Smartphone camera mounted on the microscope eyepiece. Peripheral blood film.
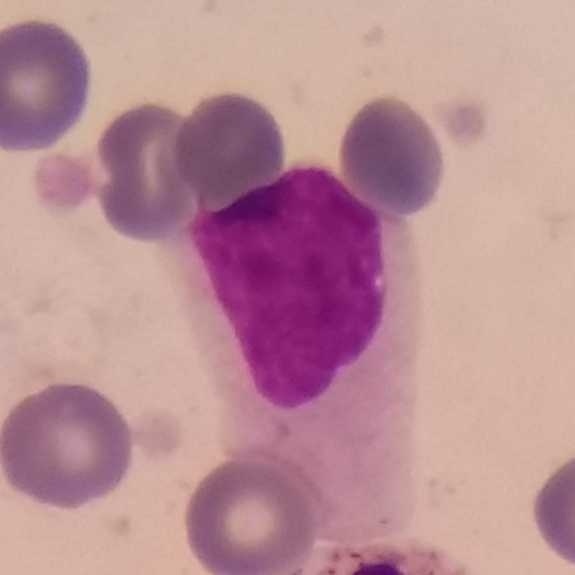

Q: What is the morphological classification of this cell?
A: Lymphocyte.